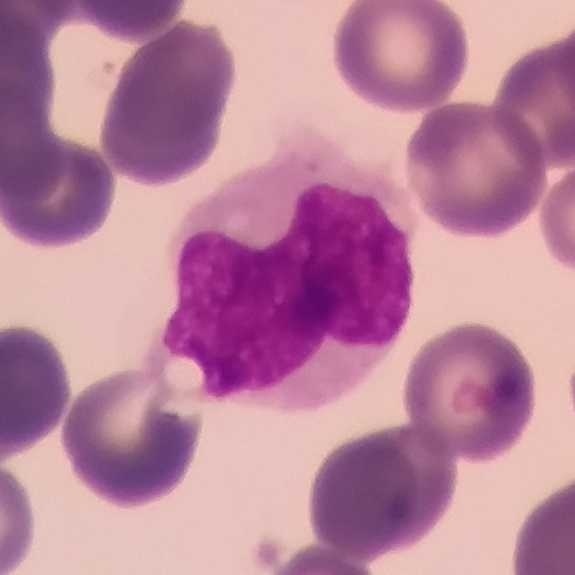 Acquisition: Imaged at 100× · single white blood cell cropped from the smear photograph · peripheral blood smear.

Morphological class = monocyte.